Photographed through a light microscope with a smartphone camera. Magnification 100×. Peripheral blood smear:
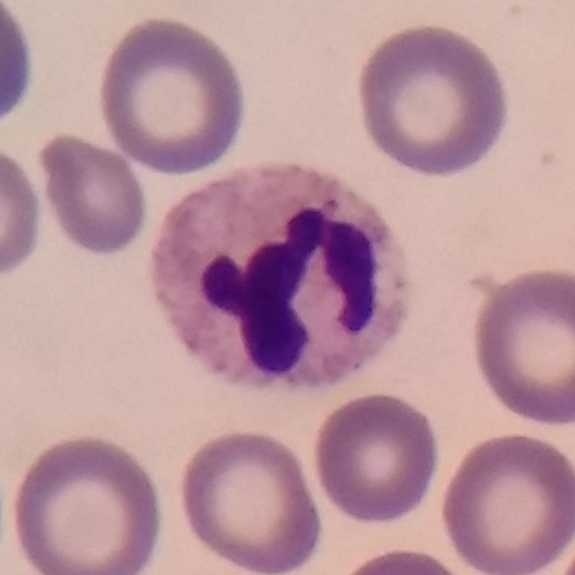
The cell is neutrophil granulocyte.